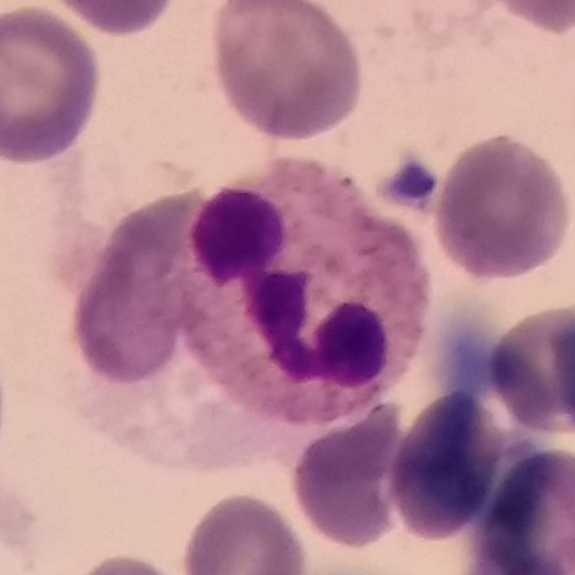

Acquisition: 575 by 575 pixels. Peripheral blood film.
Q: What is shown here?
A: This is a neutrophil.